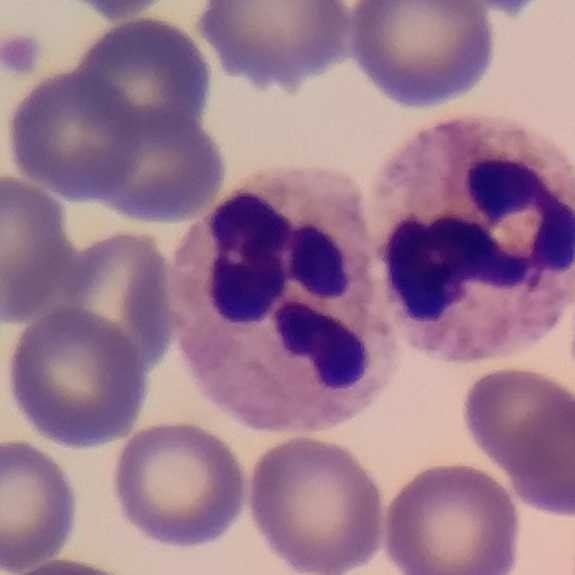

Identified as a neutrophil.
Preparation: Peripheral blood film.